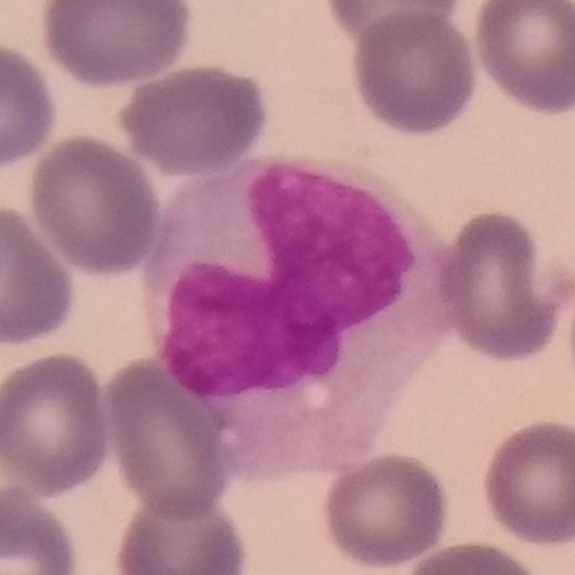Preparation: Peripheral blood smear. Impression → monocyte.